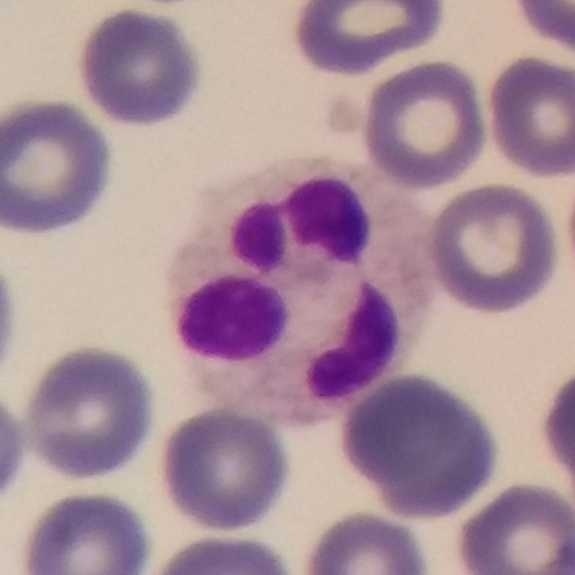 Acquisition: Peripheral blood film; magnification 100×. White blood cell type = neutrophil.